Peripheral blood smear · image size 575×575:
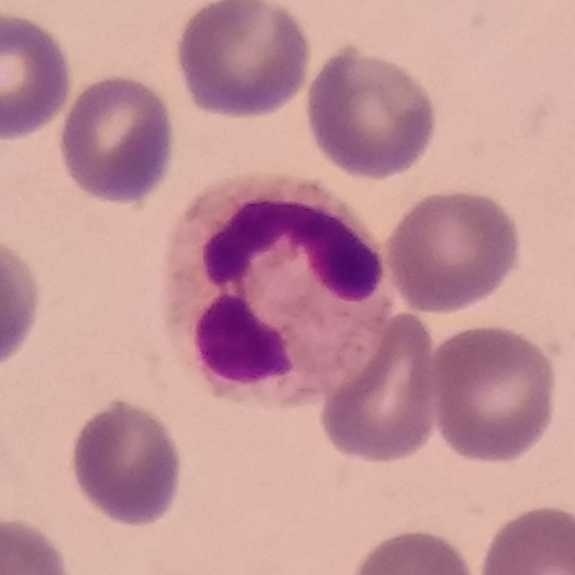

Morphology consistent with a neutrophilic granulocyte.